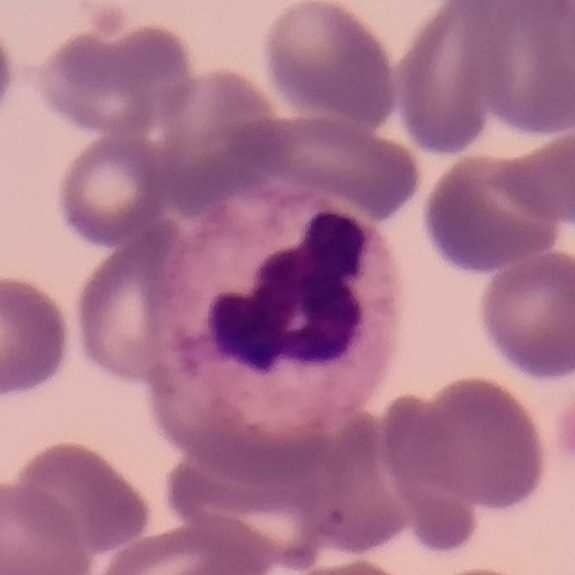 Identified as a neutrophilic granulocyte.

Preparation: Peripheral blood smear; single white blood cell cropped from the smear photograph.